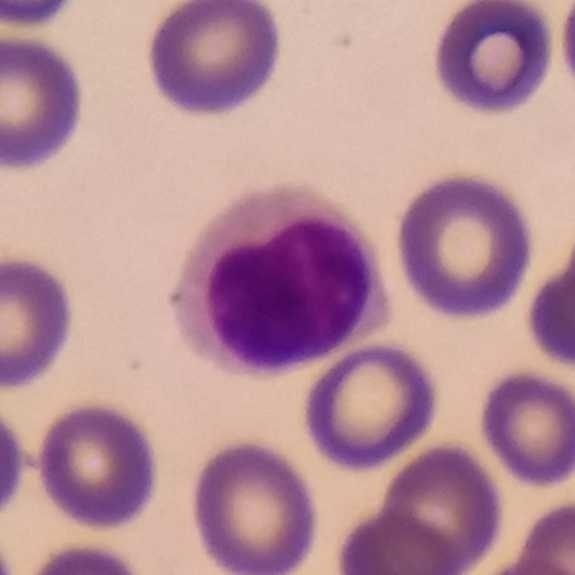Lymphocyte.